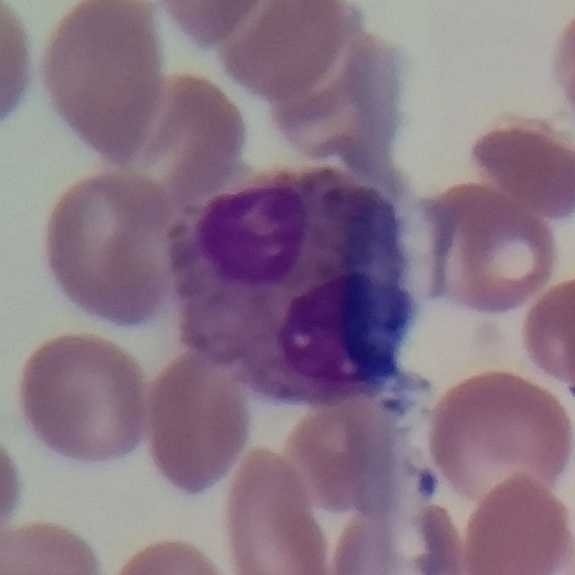
Cell type — eosinophilic granulocyte.

Peripheral blood smear.